Stained with Giemsa; peripheral blood smear
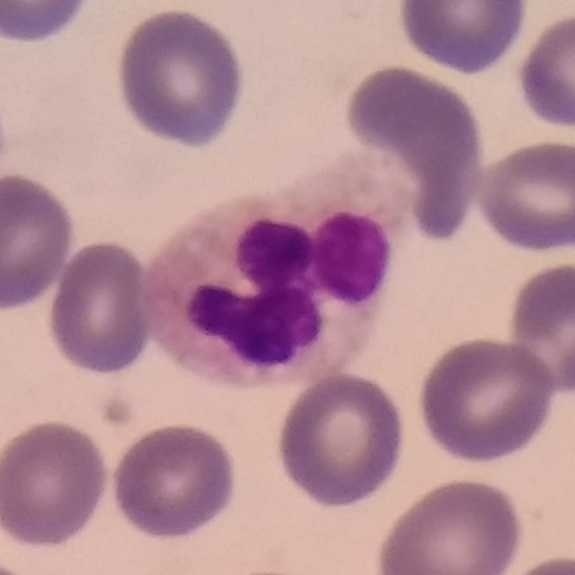 Q: Identify the cell.
A: It is a neutrophil.